Peripheral blood film. Cropped to one leukocyte:
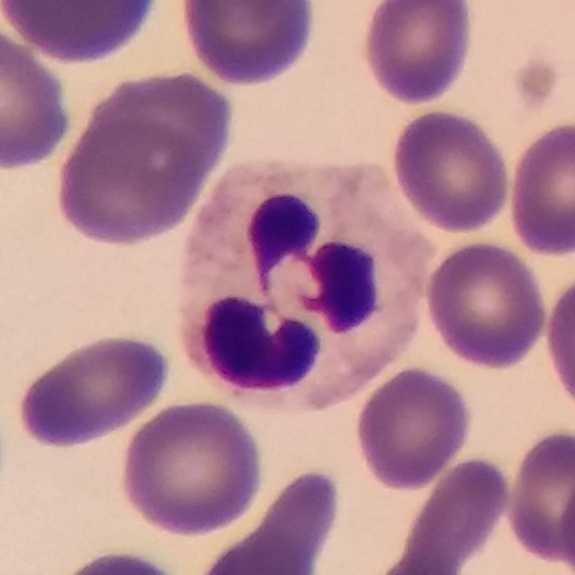Q: What is this?
A: Neutrophil granulocyte.